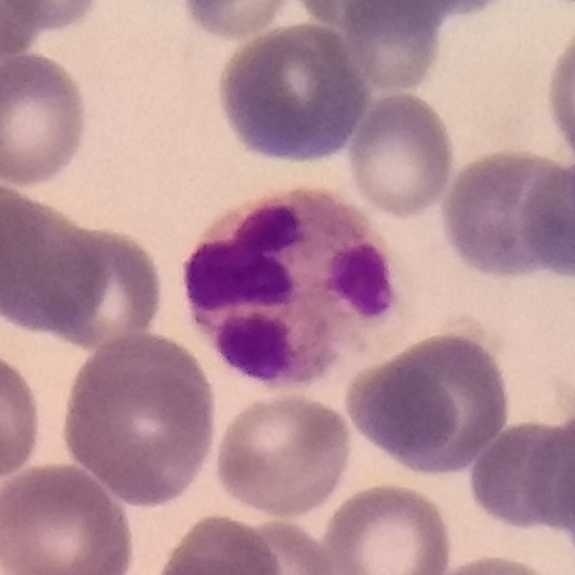Single-cell field · peripheral blood smear · Giemsa stain.
White blood cell type = neutrophil.